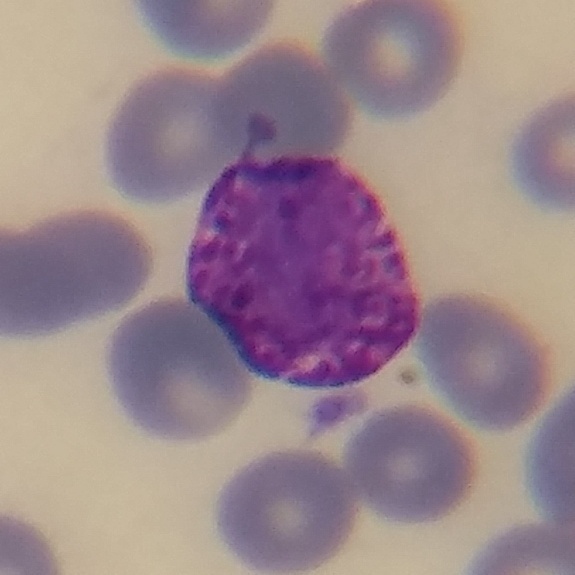

The cell shown is a basophil.
Preparation: Peripheral blood smear.